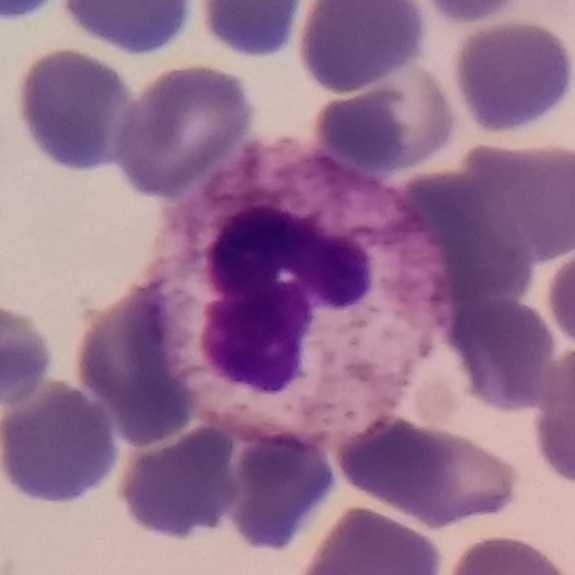
Morphology consistent with a neutrophilic granulocyte. Image: Single white blood cell cropped from the smear photograph. Peripheral blood smear.